Peripheral blood film
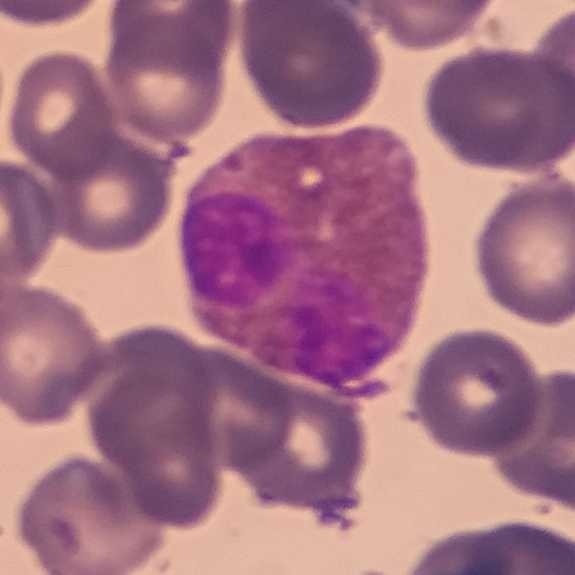
Morphology consistent with an eosinophil.